Peripheral blood smear. Magnification 100×.
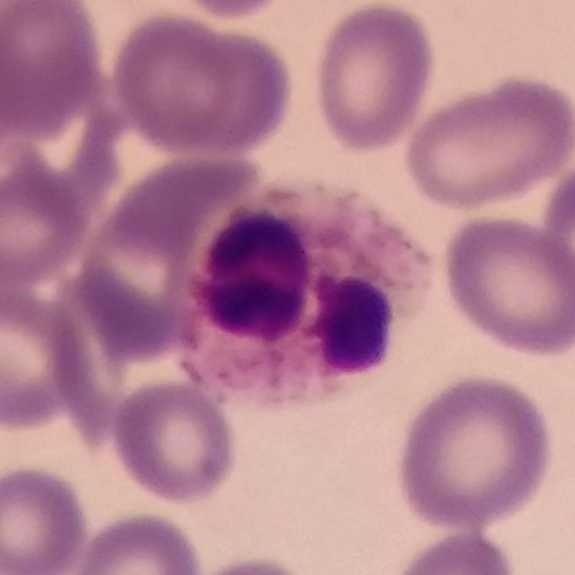

The white blood cell type is neutrophil granulocyte.